Photographed through a light microscope with a smartphone camera; peripheral blood smear; imaged at 100×: 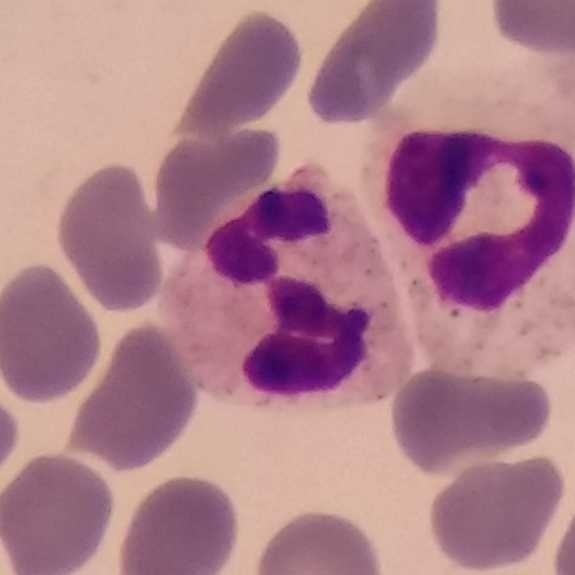
Single cell identified as a neutrophilic granulocyte.